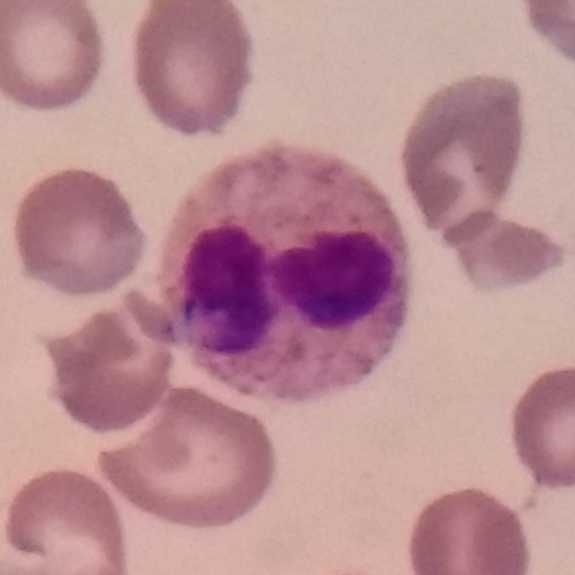Magnification 100× · peripheral blood film · single-cell crop. The white blood cell in this image is a neutrophil.